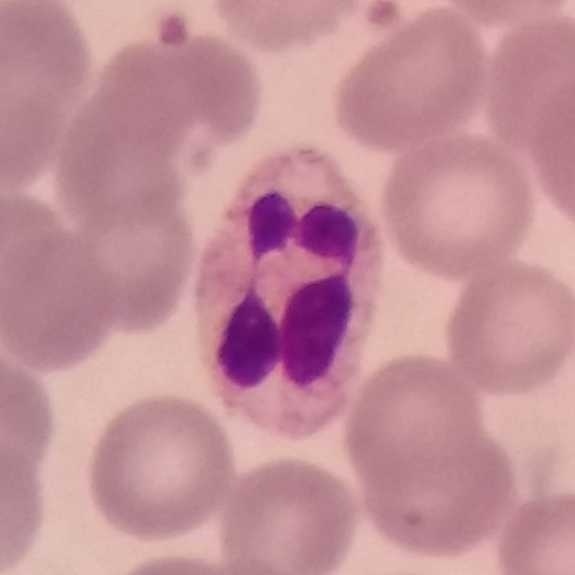Q: What is the morphological classification of this cell?
A: This is a neutrophil granulocyte.